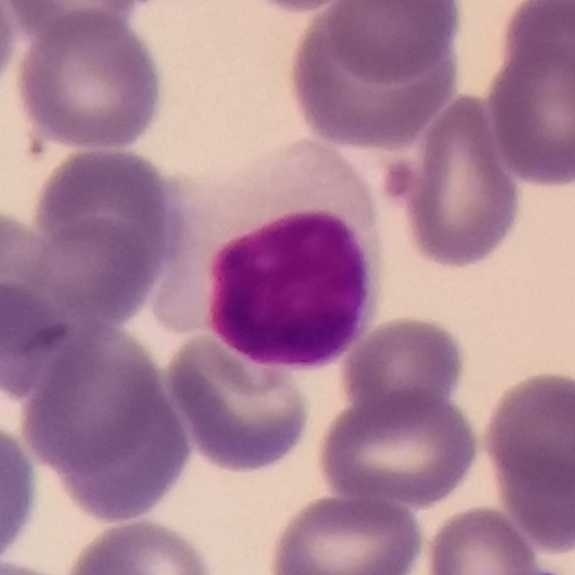

Morphology consistent with a lymphocyte.